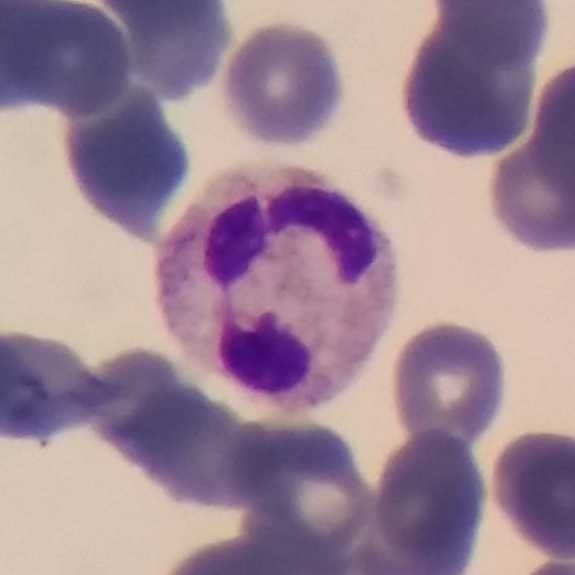

Context: Peripheral blood smear. Giemsa-stained. The cell shown is a neutrophil granulocyte.